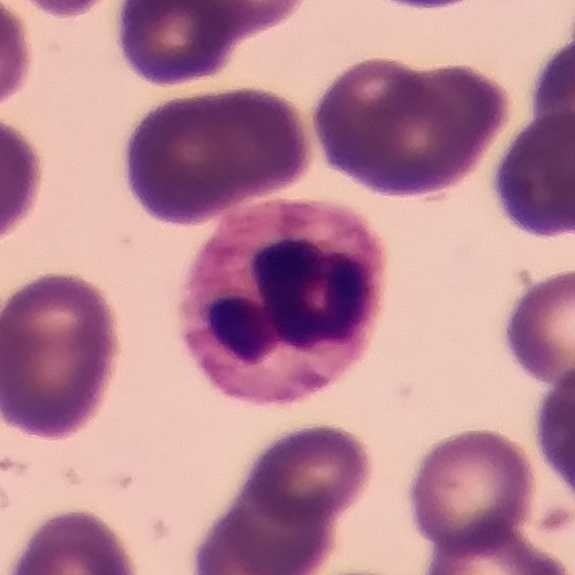 Q: Identify the cell.
A: Neutrophil.